Peripheral blood film:
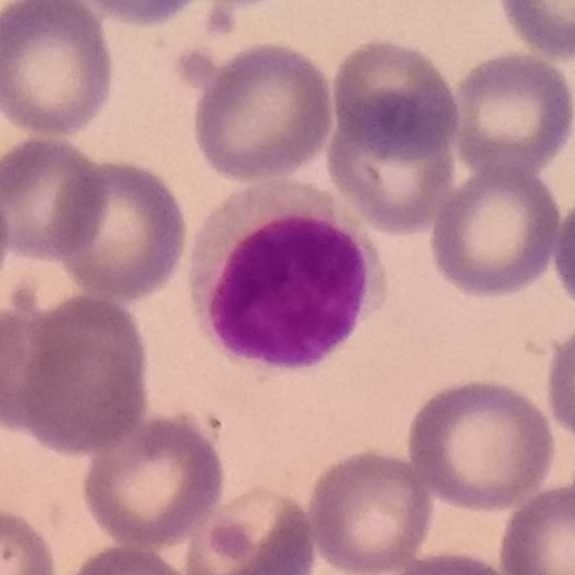Identified as a lymphocyte.